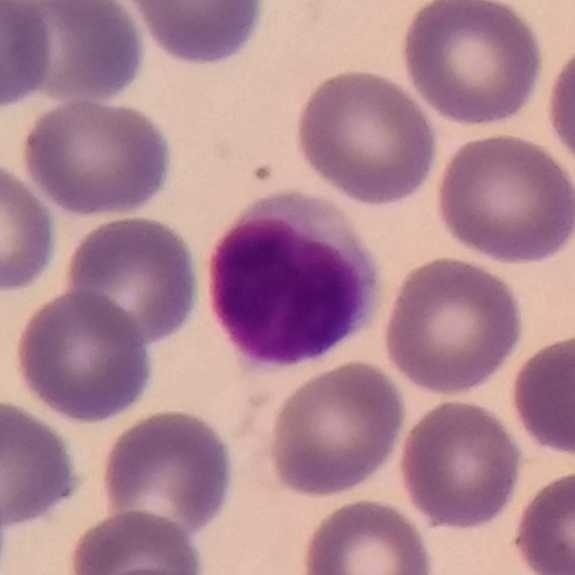

Q: What cell is this?
A: A lymphocyte.